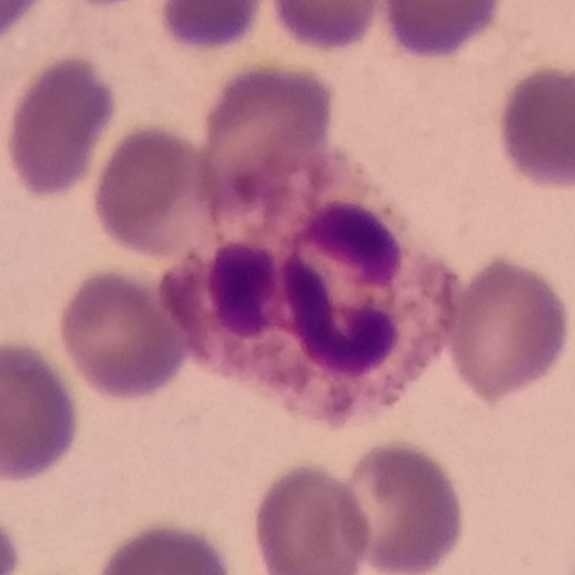Context: Peripheral blood film. Phone-camera image taken through the microscope ocular. Neutrophil.